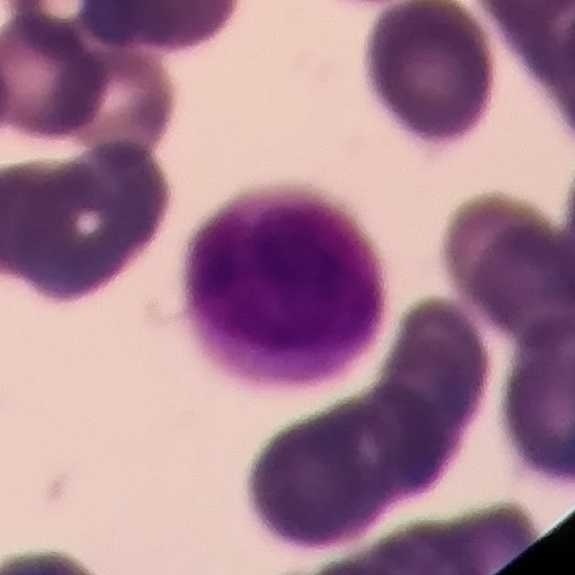
Morphology consistent with a lymphocyte.

Peripheral blood film; photographed through a light microscope with a smartphone camera.